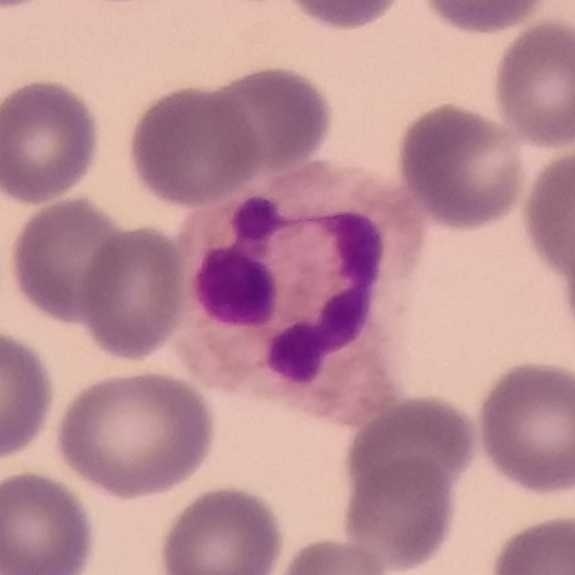 Morphology consistent with a neutrophilic granulocyte.

Preparation: Peripheral blood film. Giemsa stain.